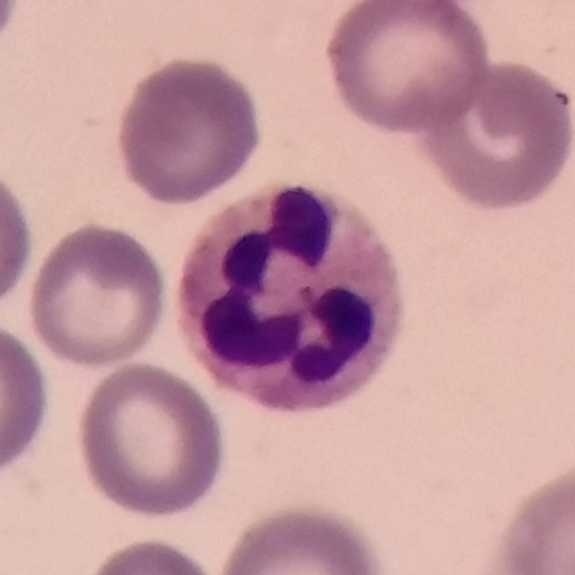
Q: What cell is this?
A: This is a neutrophilic granulocyte.

Context: Peripheral blood smear; cropped to one leukocyte.